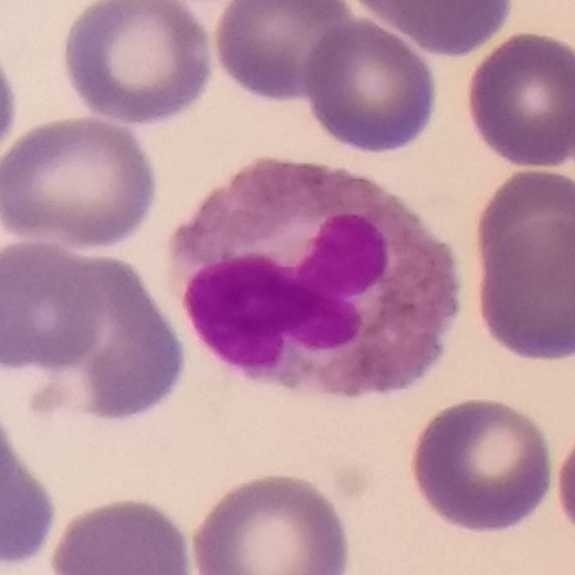

Acquisition: Stained with Giemsa; peripheral blood film.
Impression — eosinophil.